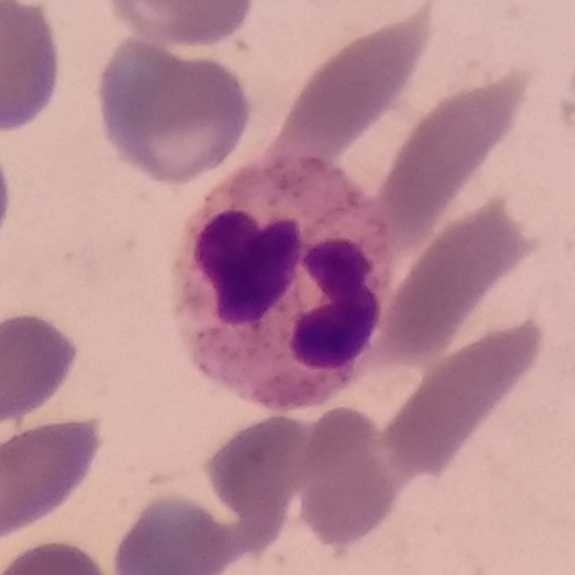 Neutrophilic granulocyte.

Image: Peripheral blood smear.